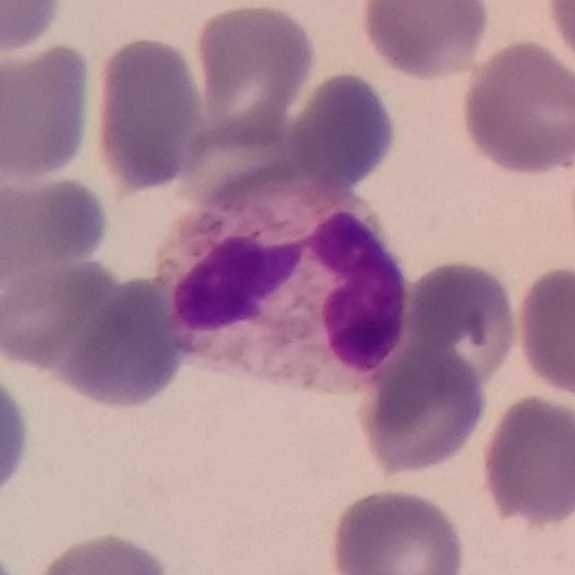 Preparation: Peripheral blood smear. Morphology → neutrophil granulocyte.